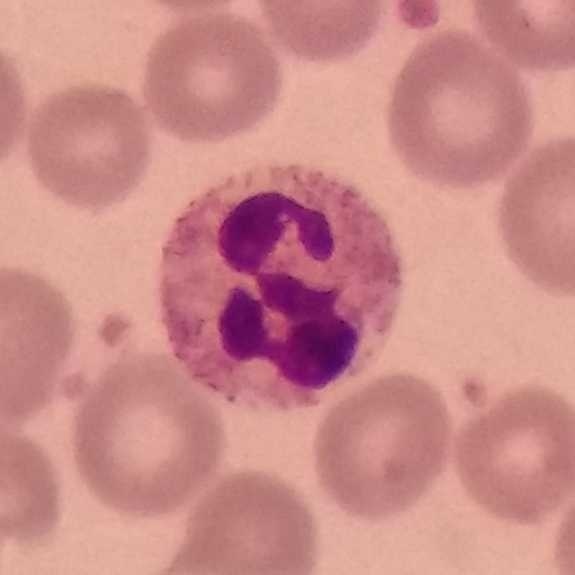
Peripheral blood smear; phone-camera image taken through the microscope ocular.
A neutrophilic granulocyte.